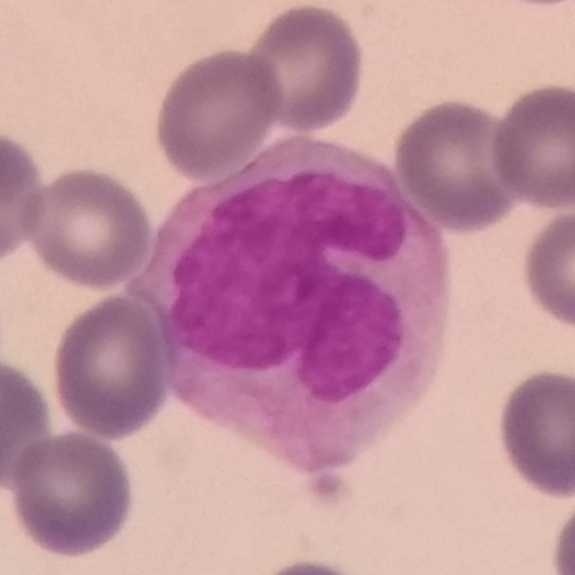
The cell type is monocyte. Photographed through a light microscope with a smartphone camera. Peripheral blood film.